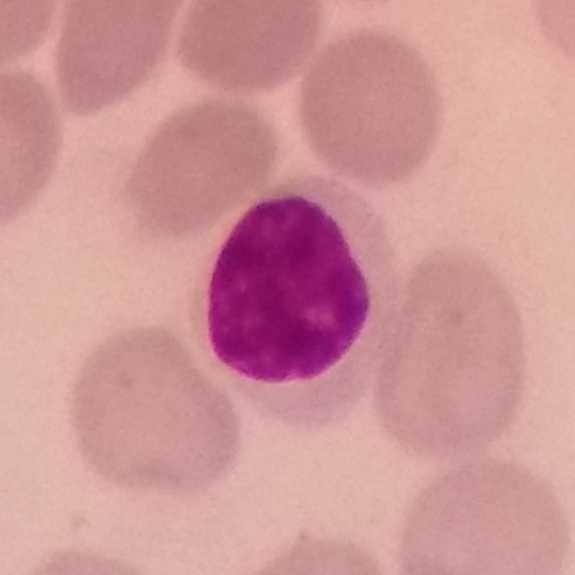 Specimen: peripheral blood smear.
Classification: lymphocyte.